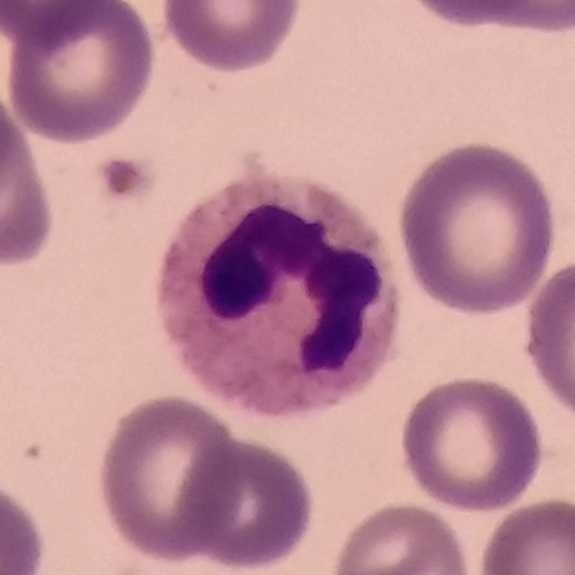Specimen: peripheral blood film.
Morphological class: neutrophil.
Lineage: myeloid.